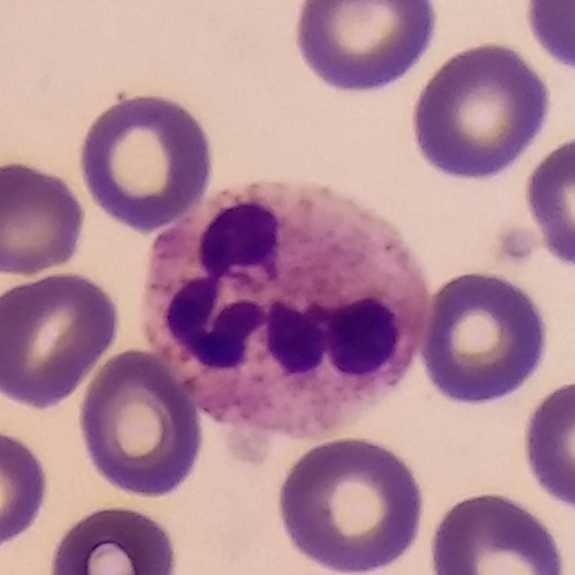
Morphology consistent with a neutrophil granulocyte.
Context: Peripheral blood smear · smartphone camera mounted on the microscope eyepiece.